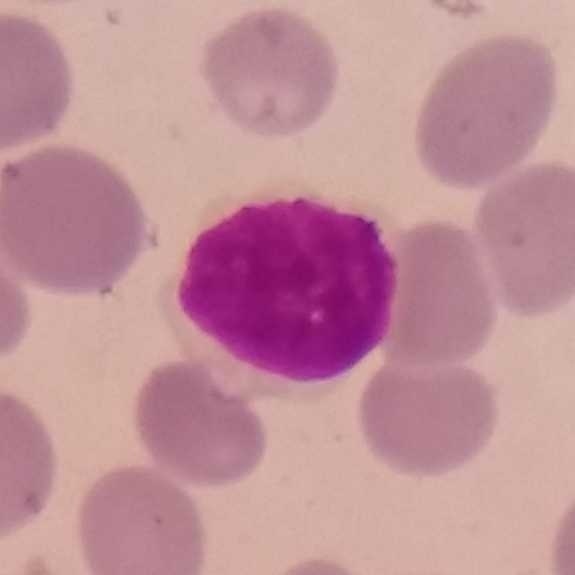Q: What is this?
A: A lymphocyte.
Context: Peripheral blood smear.